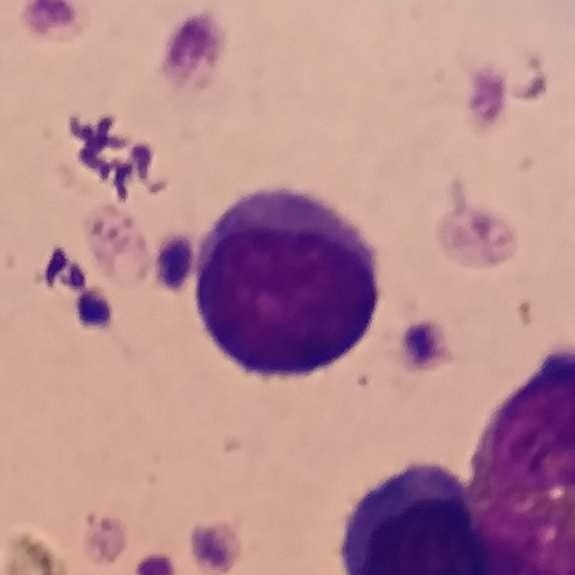
Peripheral blood smear.
Classification — lymphocyte.